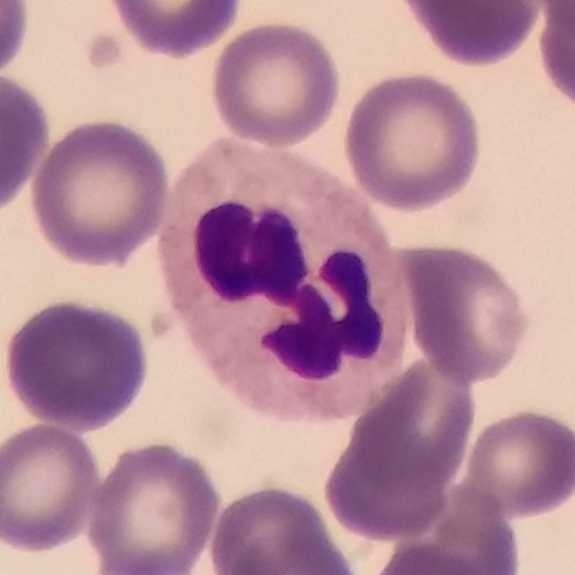

Context: Peripheral blood smear.

Q: What is the morphological classification of this cell?
A: It is a neutrophil.